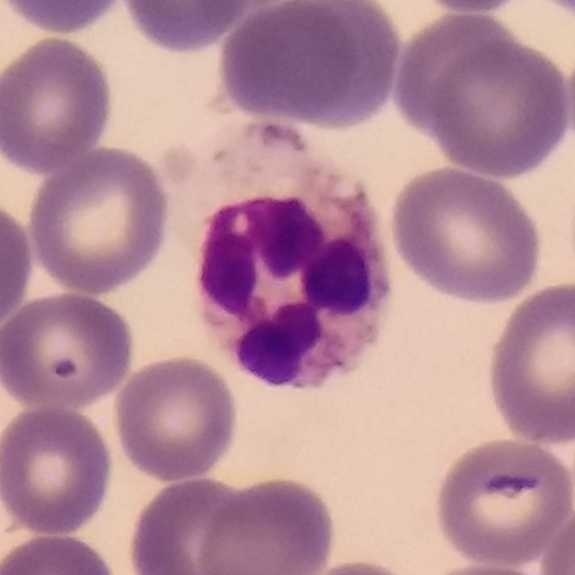 Context: Peripheral blood smear. 575×575. Cropped to one leukocyte.
Morphology — neutrophil granulocyte.